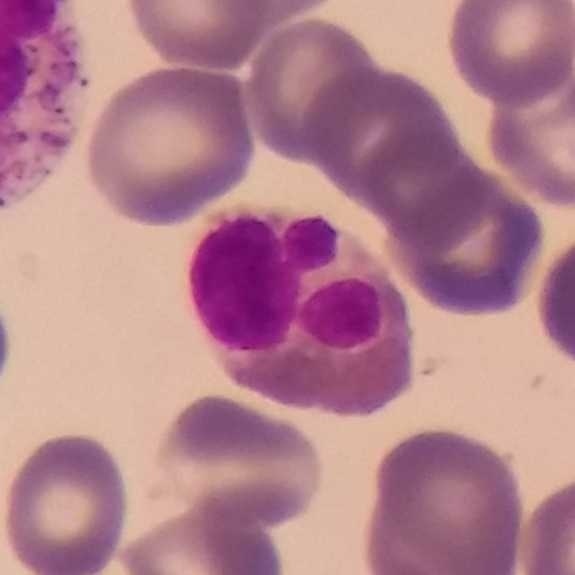

Morphology — eosinophilic granulocyte.
Preparation: Peripheral blood smear · single-cell crop.